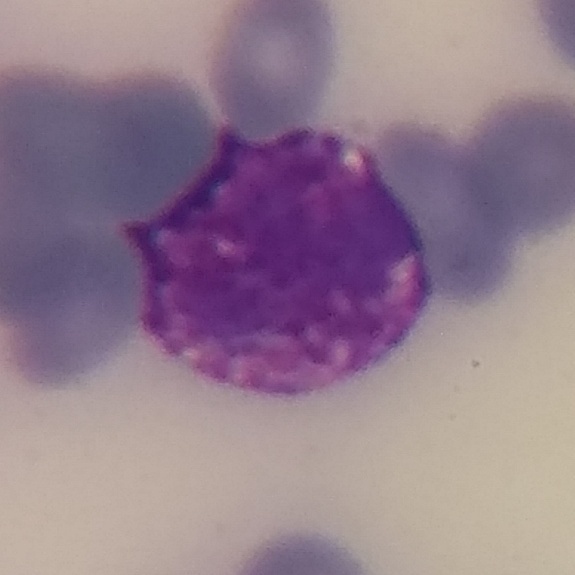Basophilic granulocyte.
Preparation: Single-cell crop. Peripheral blood smear.